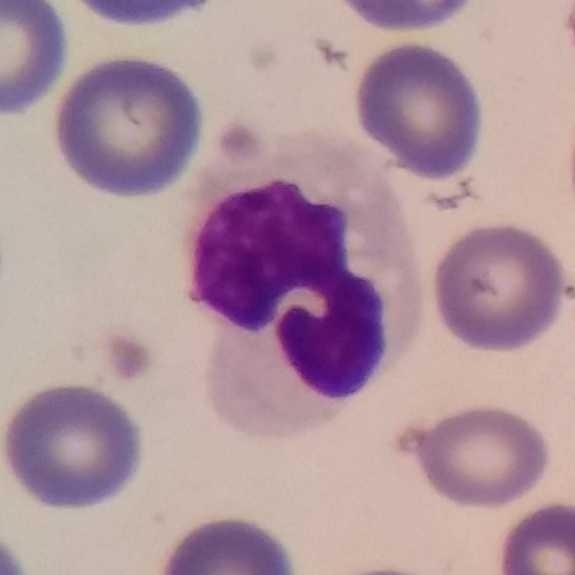

Peripheral blood smear showing a monocyte.